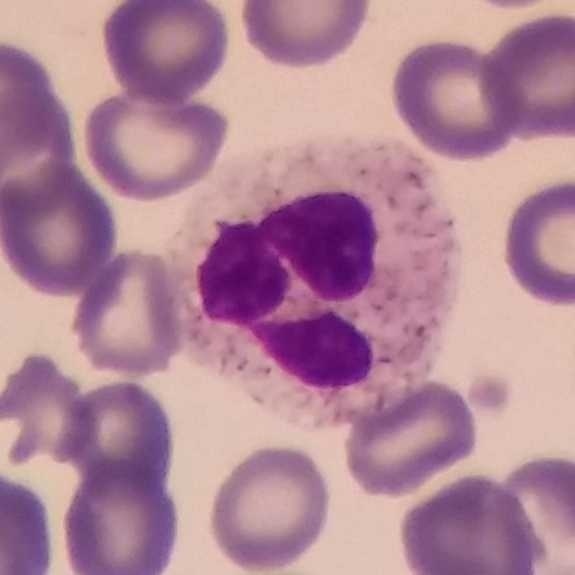

Image: Peripheral blood film.
The cell shown is a neutrophil granulocyte.